Peripheral blood smear.
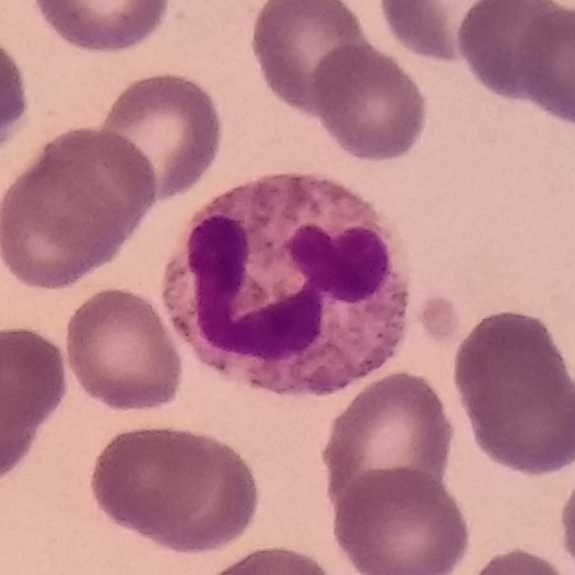 The cell shown is a neutrophil.